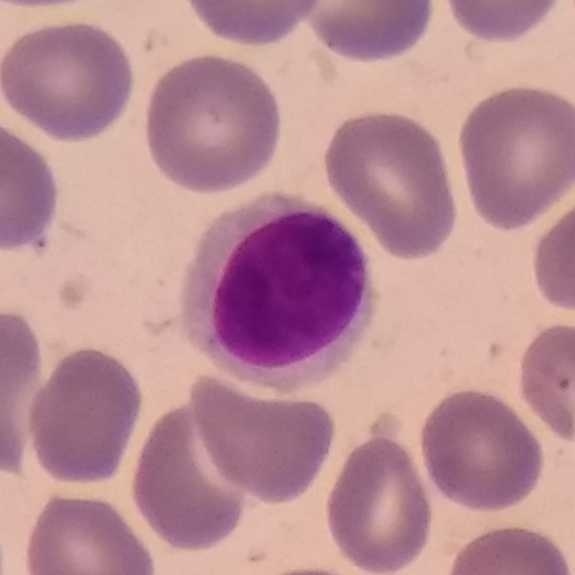

The morphological class is lymphocyte.